Peripheral blood film; 100× magnification — 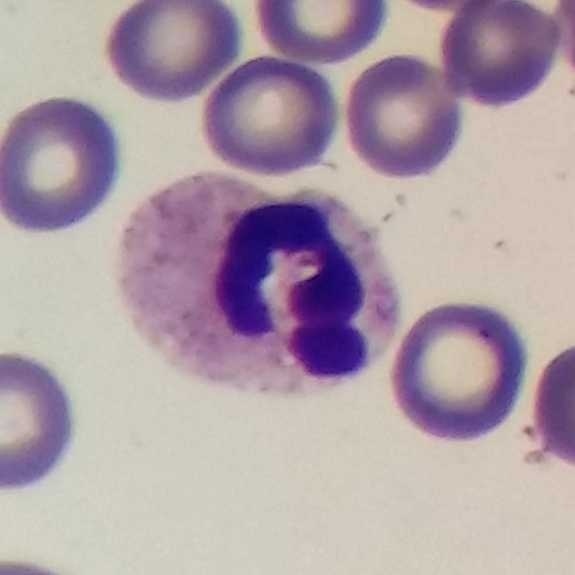 Specimen: peripheral blood smear.
White blood cell type: neutrophil.